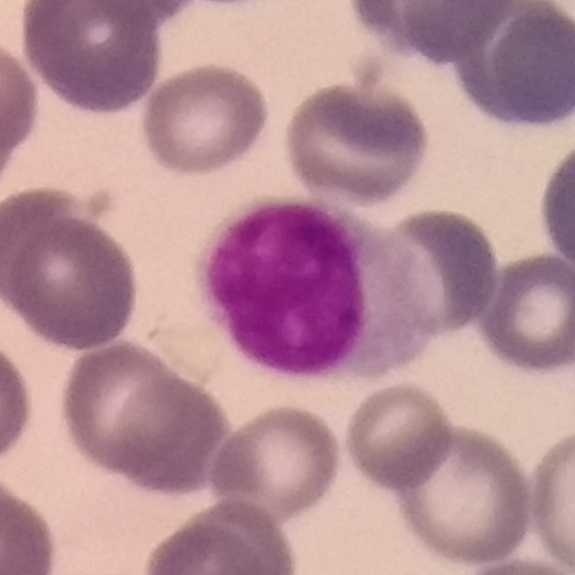
Morphological class: lymphocyte.